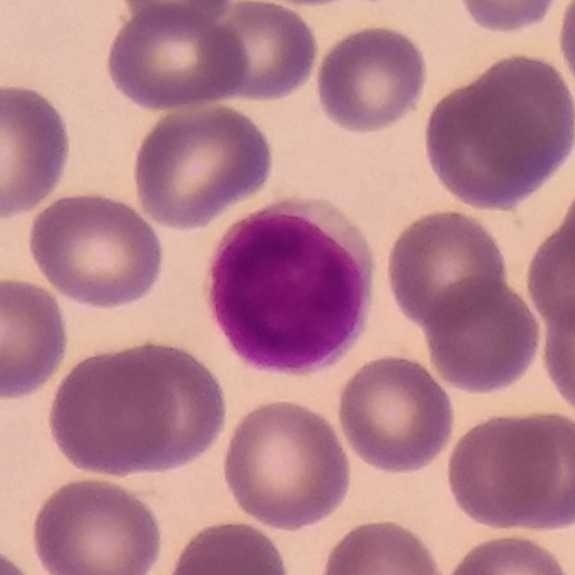 Classification — lymphocyte. Peripheral blood smear.